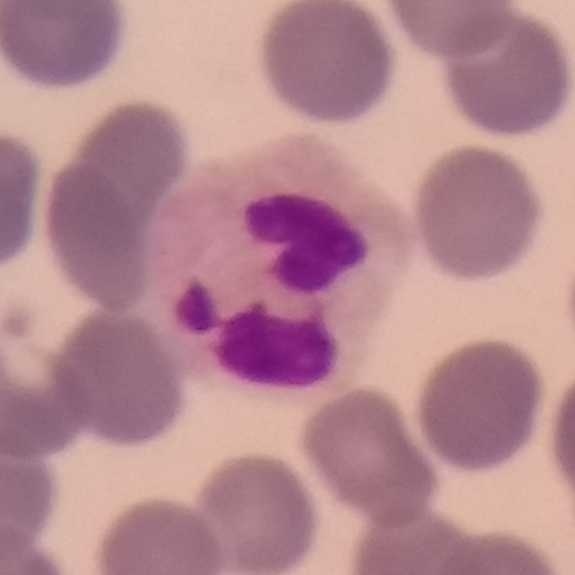Identified as a neutrophil.